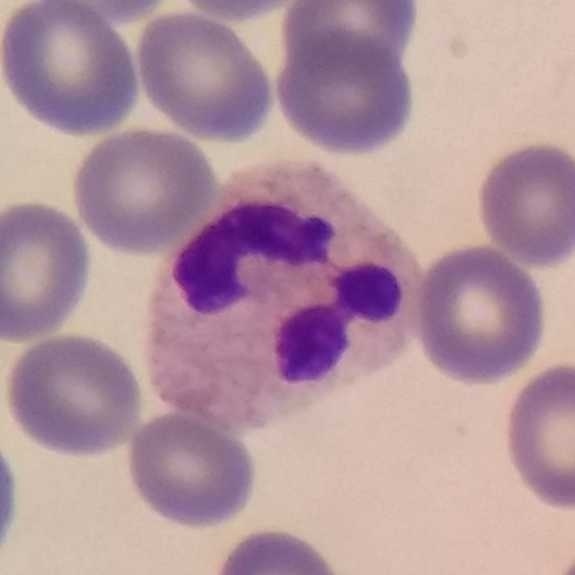

Cell type: neutrophil granulocyte.